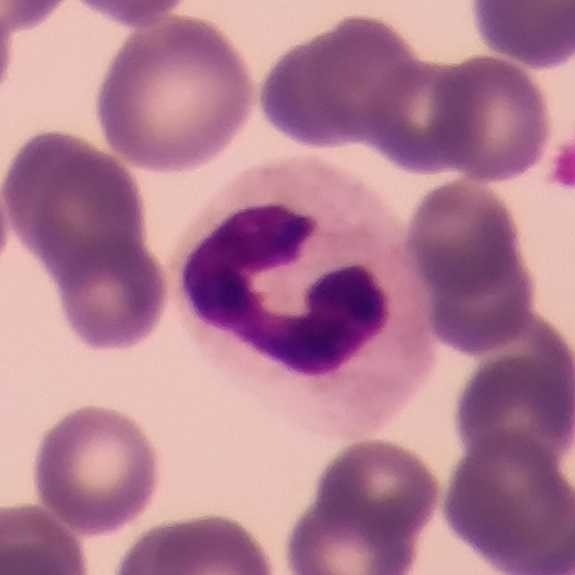 This is a neutrophil.